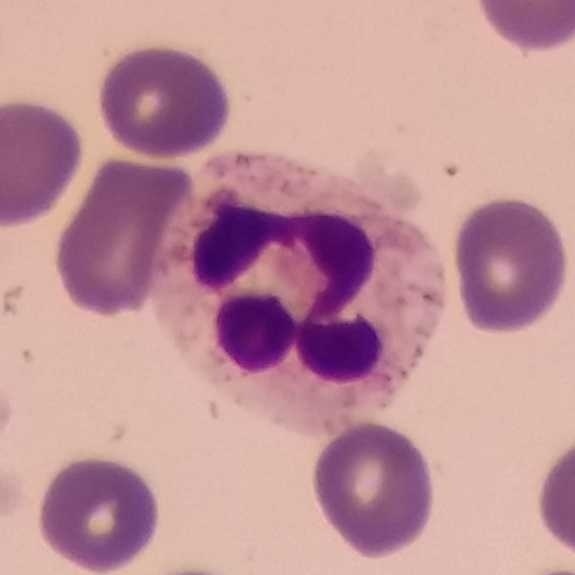 Q: Identify the cell.
A: It is a neutrophil granulocyte.